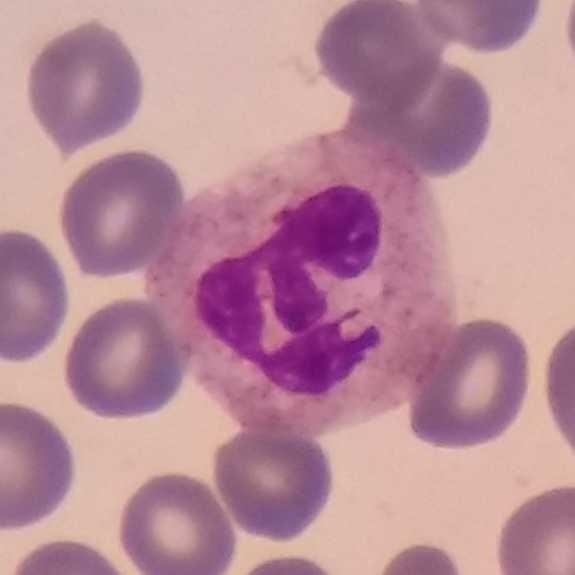 Specimen: peripheral blood smear.
Cell type: neutrophil granulocyte.
Lineage: myeloid.